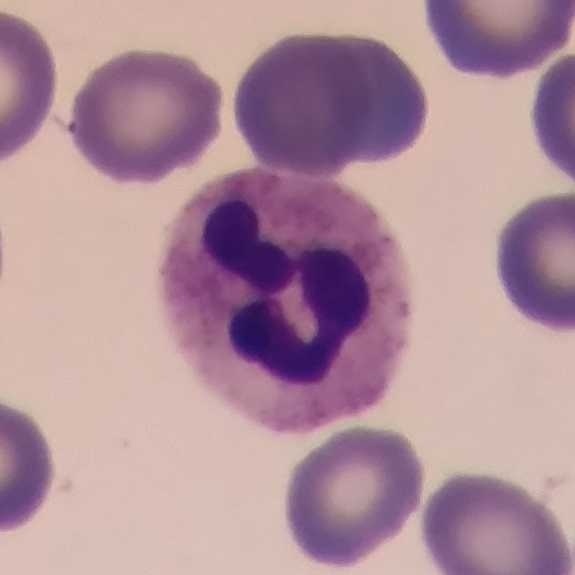

Peripheral blood film.

Morphology — neutrophil granulocyte.